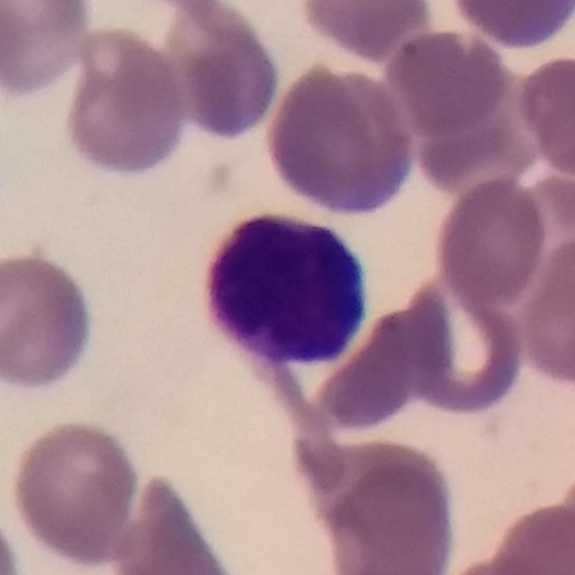

A lymphocyte on a peripheral blood smear.